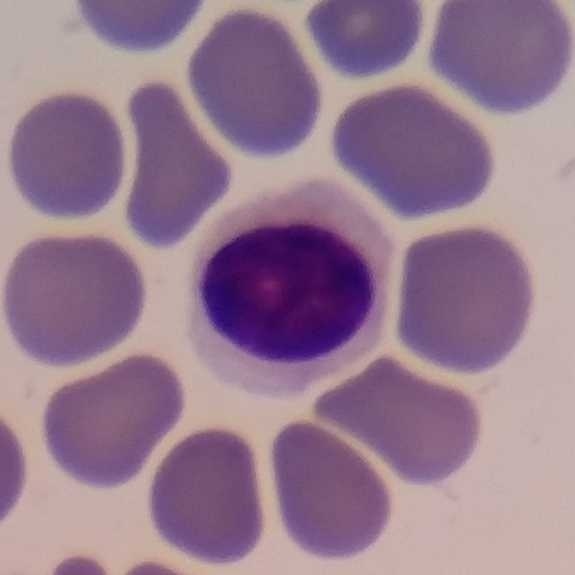

Showing a lymphocyte. Context: Peripheral blood film.